Giemsa stain; peripheral blood film:
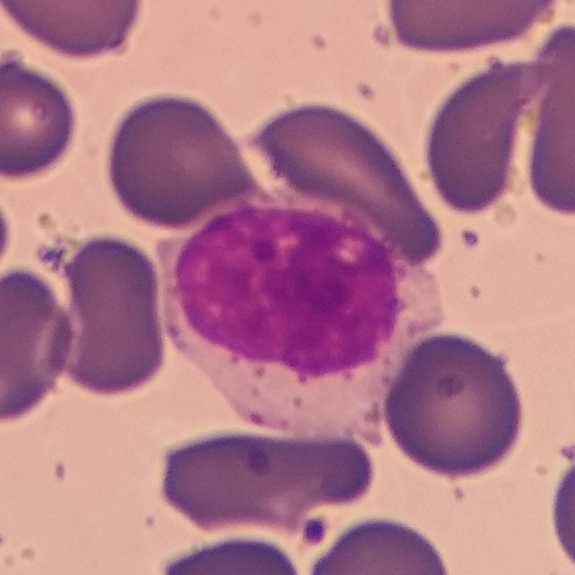

Showing a lymphocyte.